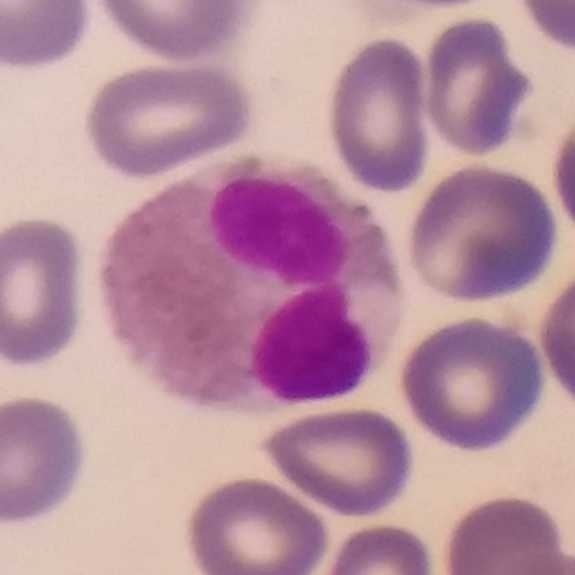 Preparation: Stained with Giemsa; image size 575×575. Specimen: peripheral blood film.
Morphological class: eosinophil.
Lineage: myeloid.